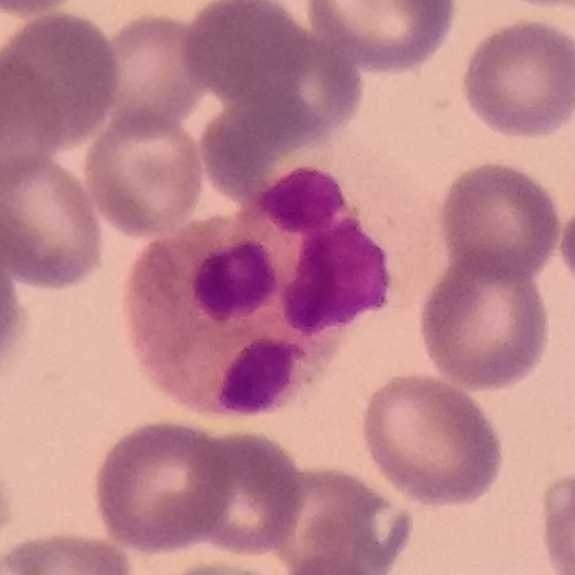 Context: Imaged at 100×.
Specimen: peripheral blood film.
Cell type: neutrophilic granulocyte.
Lineage: myeloid.